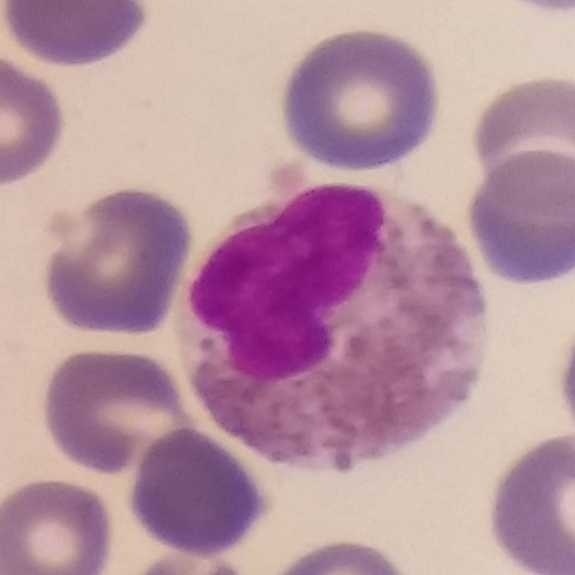

Q: What cell is this?
A: It is an eosinophilic granulocyte.